Peripheral blood film · single white blood cell cropped from the smear photograph.
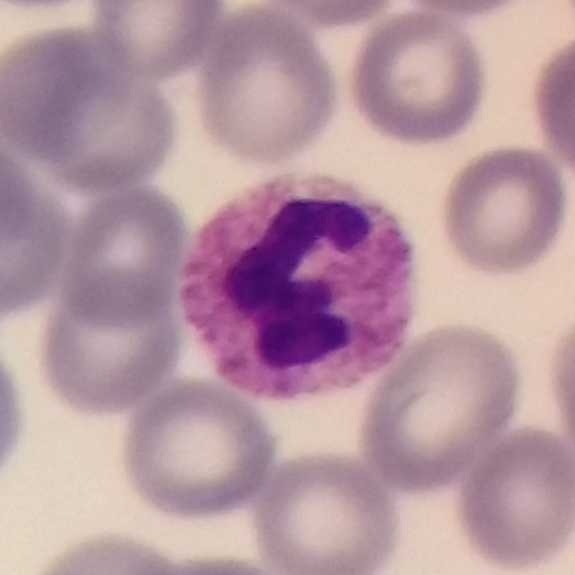
The white blood cell in this image is a neutrophil.